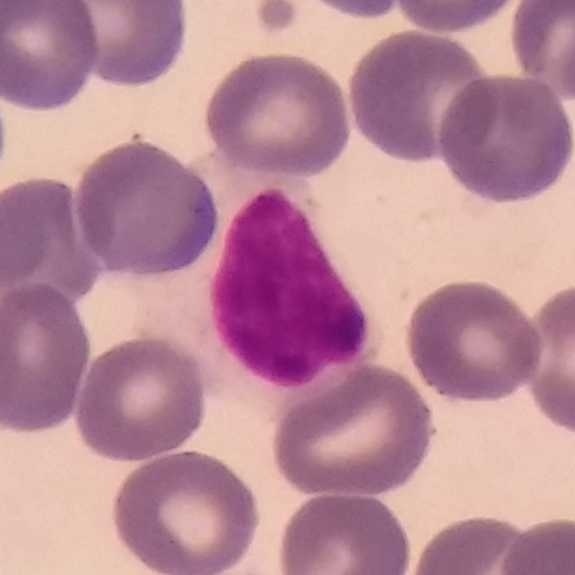

Image: Peripheral blood smear · magnification 100× · single-cell crop. Identified as a lymphocyte.